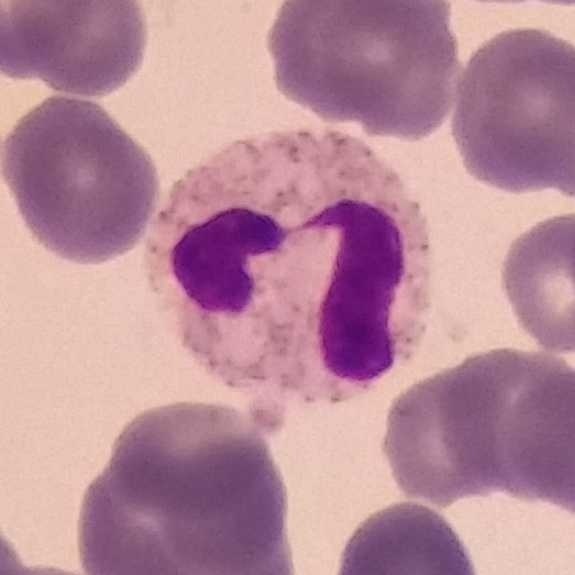Impression → neutrophil granulocyte.